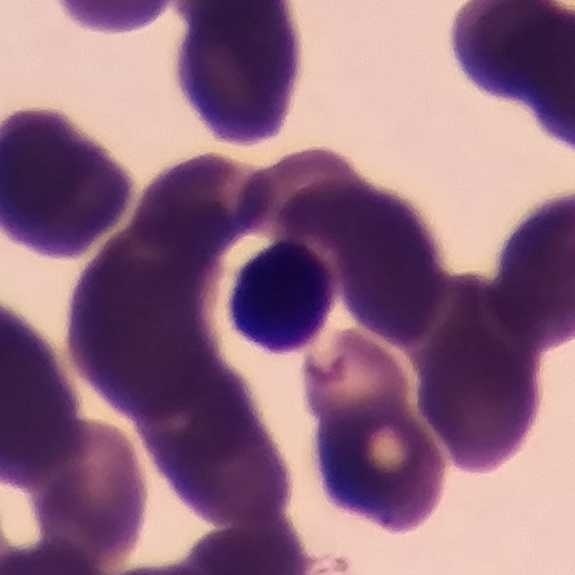 Classification — lymphocyte.